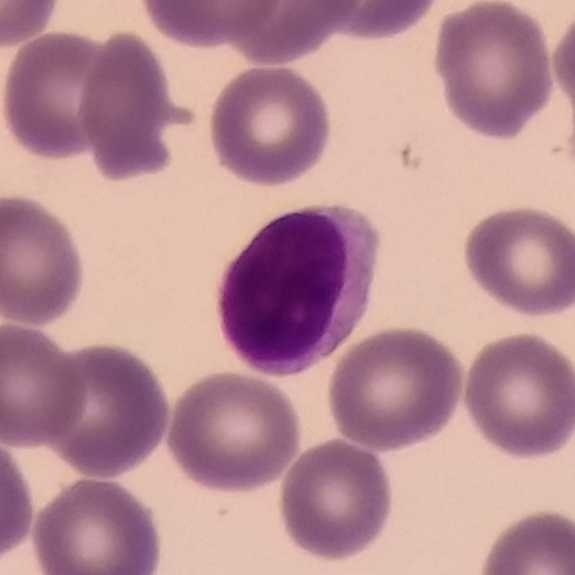

Identified as a lymphocyte.